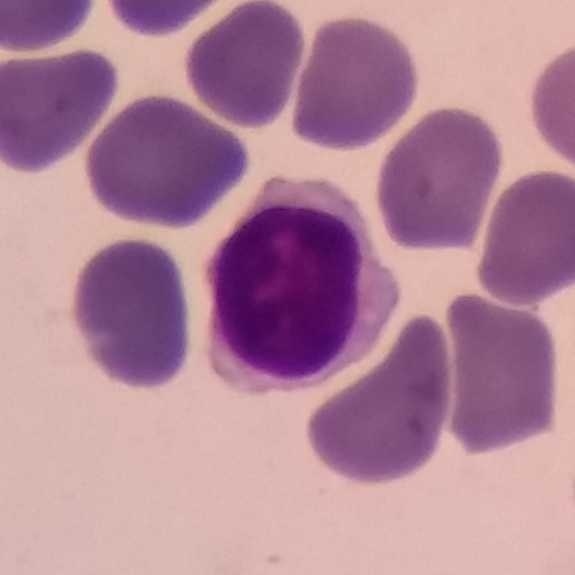Q: Identify the cell.
A: A lymphocyte.
Preparation: Peripheral blood film · cropped to one leukocyte.